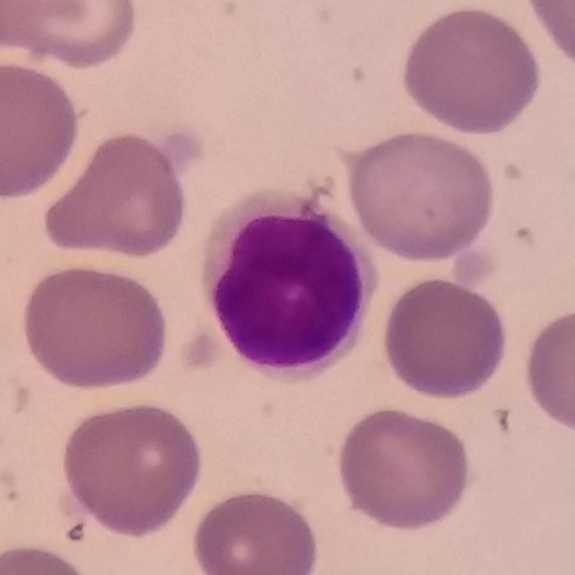Morphology consistent with a lymphocyte. Preparation: Peripheral blood film.